Peripheral blood film — 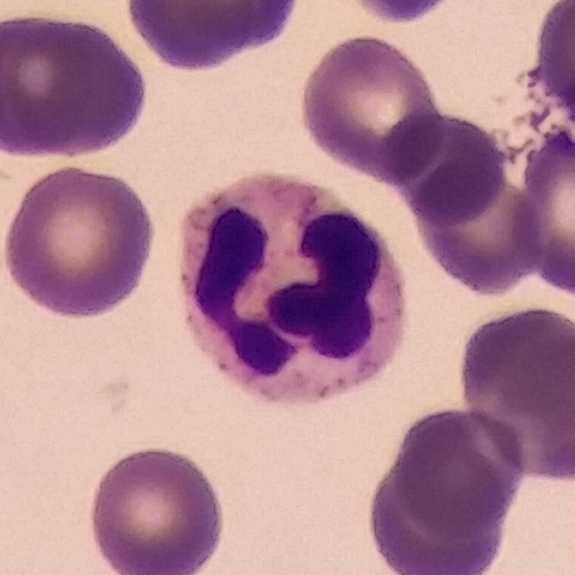
Cell type = neutrophil.